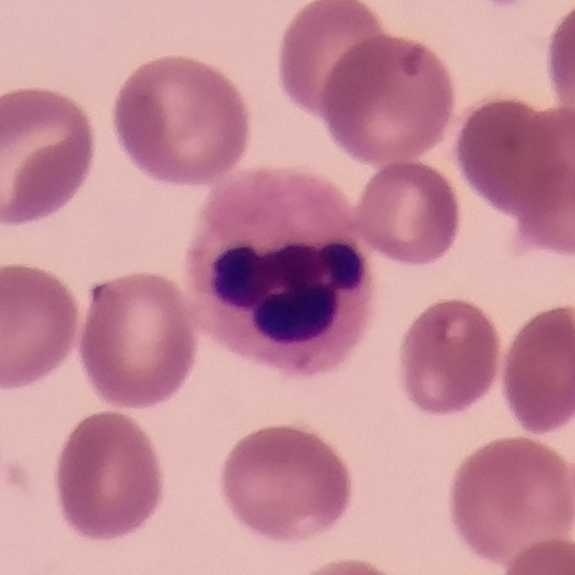Q: What type of cell is this?
A: A neutrophilic granulocyte.